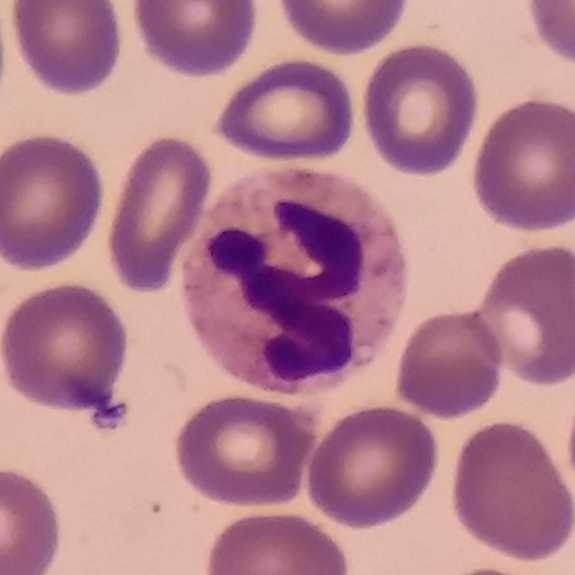Specimen: peripheral blood smear.
Cell type: neutrophil granulocyte.
Lineage: myeloid.